Peripheral blood smear; photographed through a light microscope with a smartphone camera; Giemsa-stained.
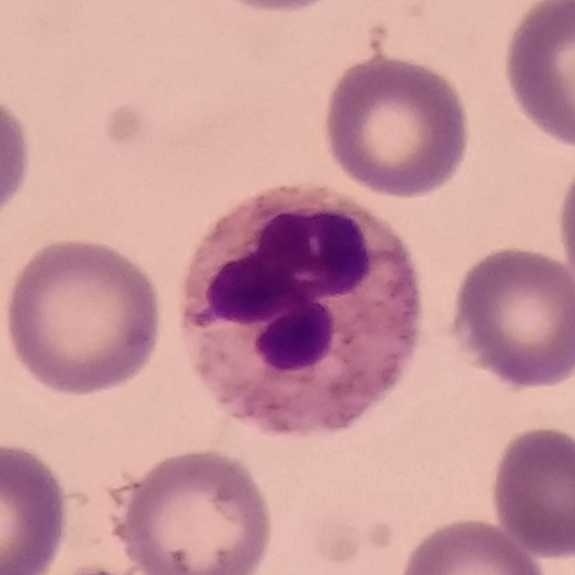
Showing a neutrophil granulocyte.